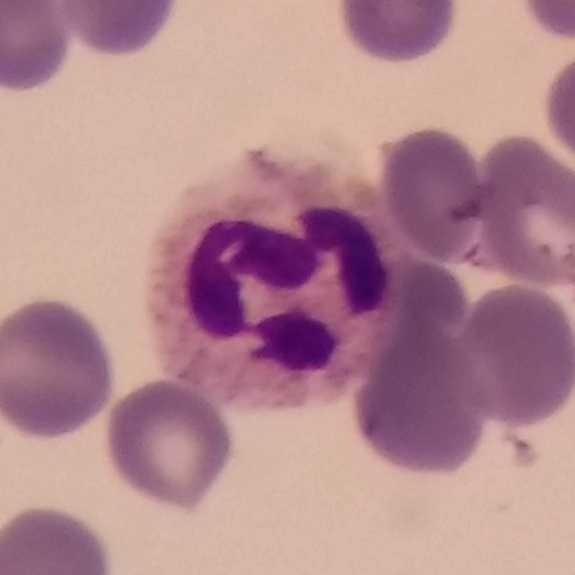 Single white blood cell cropped from the smear photograph.

Specimen: peripheral blood smear.
White blood cell type: neutrophilic granulocyte.
Lineage: myeloid.